Peripheral blood smear. 575 by 575 pixels. Giemsa stain — 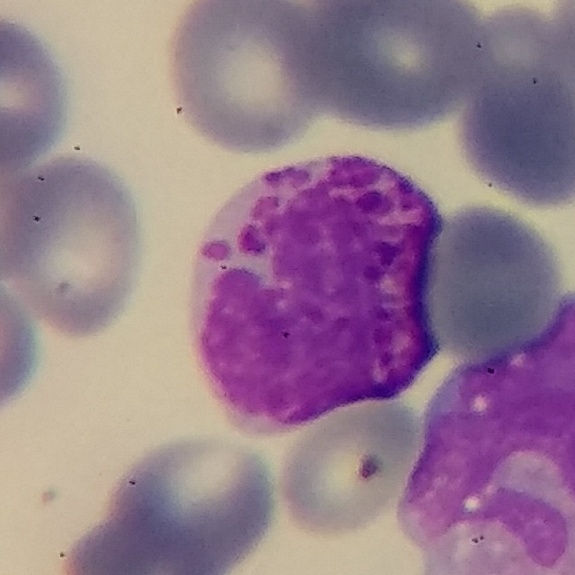
A basophilic granulocyte.